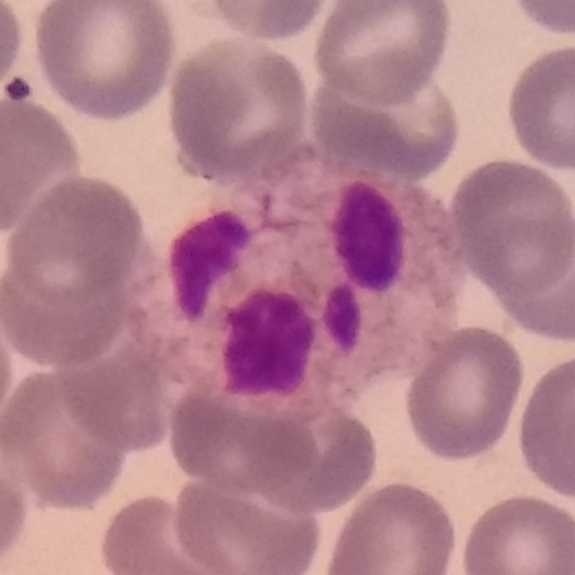

Morphology — neutrophilic granulocyte. Peripheral blood smear. Single-cell crop.